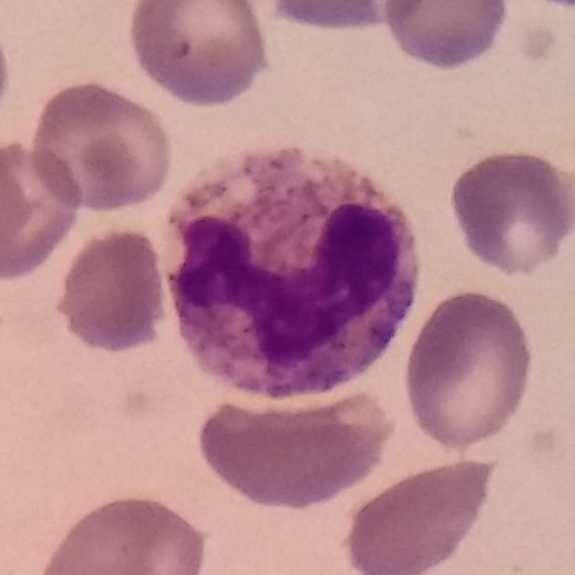Peripheral blood film; phone-camera image taken through the microscope ocular. The white blood cell type is neutrophilic granulocyte.